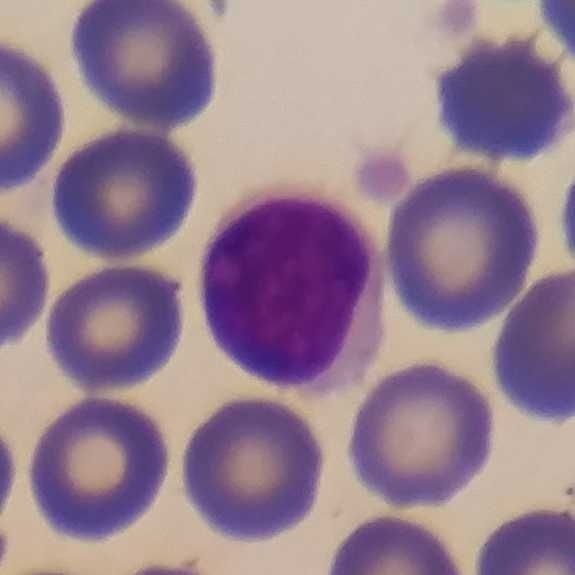White blood cell type: lymphocyte. Preparation: 575 by 575 pixels · peripheral blood film.